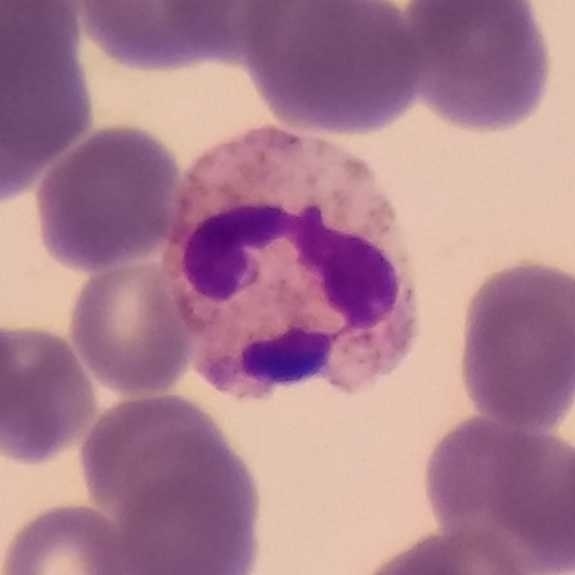

Morphology — neutrophil.